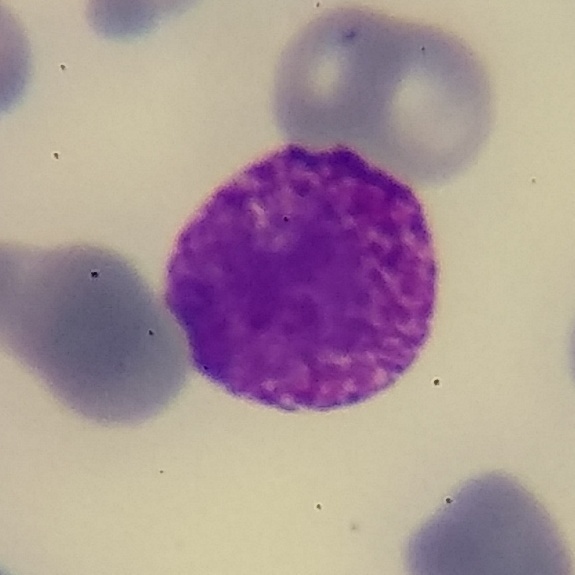 Impression → basophilic granulocyte.